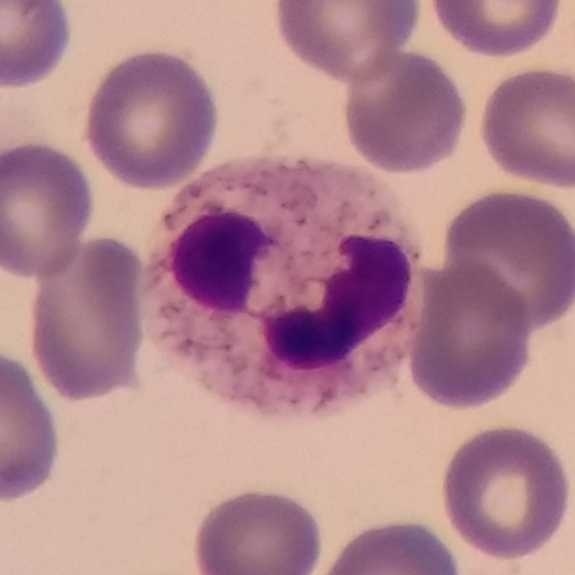 Image: Peripheral blood smear. Morphology → neutrophil granulocyte.